Peripheral blood film
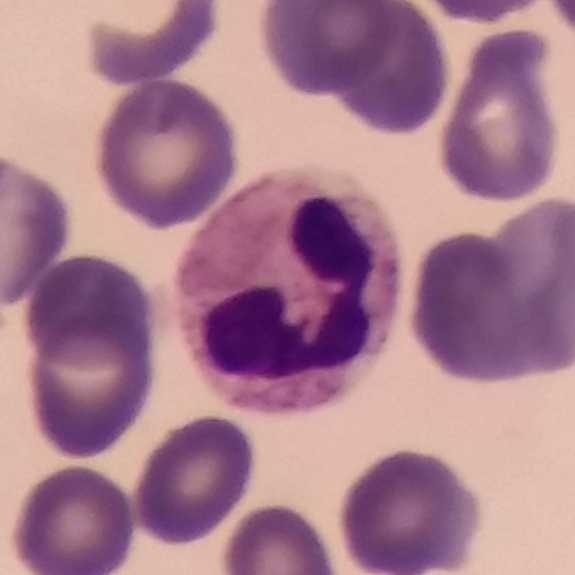
Identified as a neutrophil granulocyte.